Photographed through a light microscope with a smartphone camera. Magnification 100×. Peripheral blood film
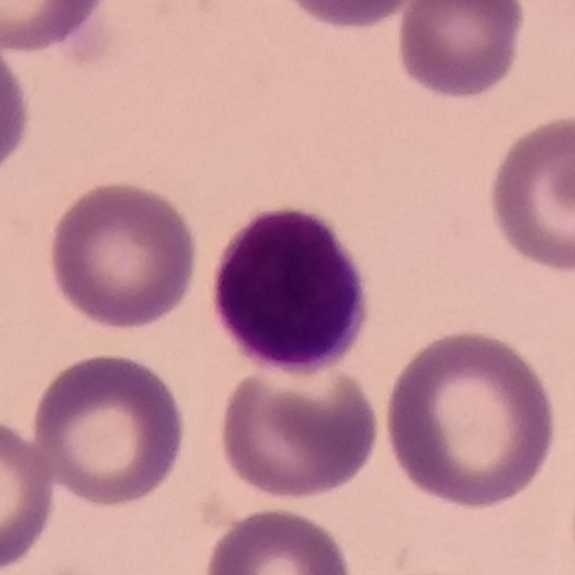
{"cell_type": "lymphocyte", "lineage": "lymphoid"}